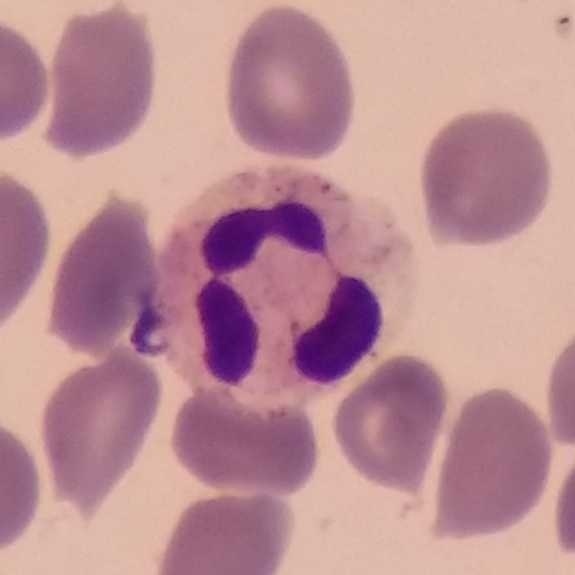

Image: Peripheral blood smear · imaged at 100×.
Q: Which type of white blood cell is this?
A: A neutrophilic granulocyte.